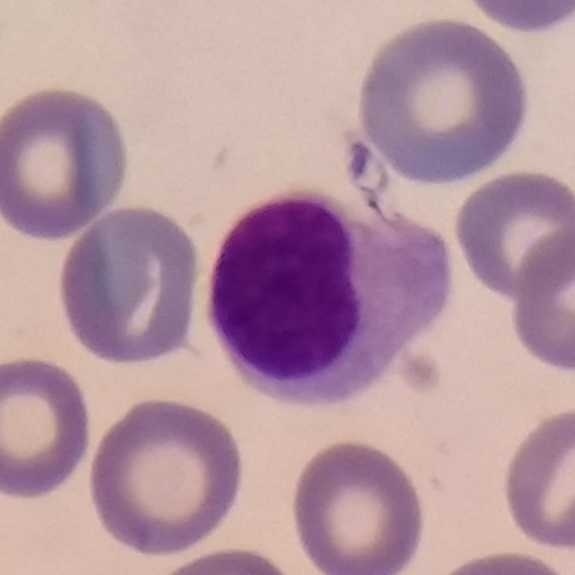Context: Peripheral blood smear. Phone-camera image taken through the microscope ocular.

{"cell_type": "lymphocyte", "lineage": "lymphoid"}